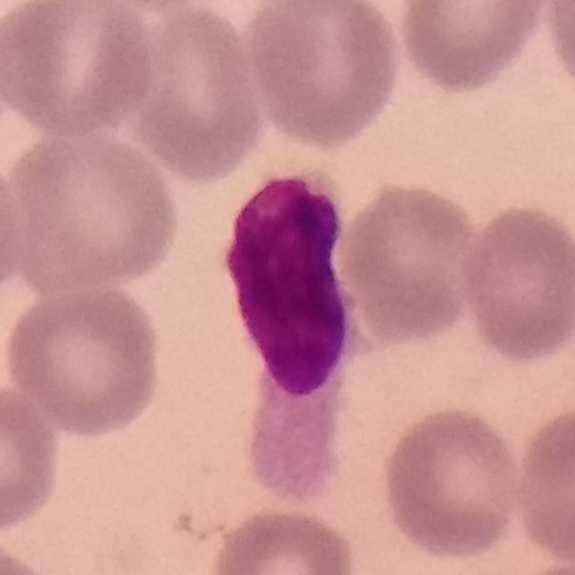

Peripheral blood smear.
White blood cell type = lymphocyte.